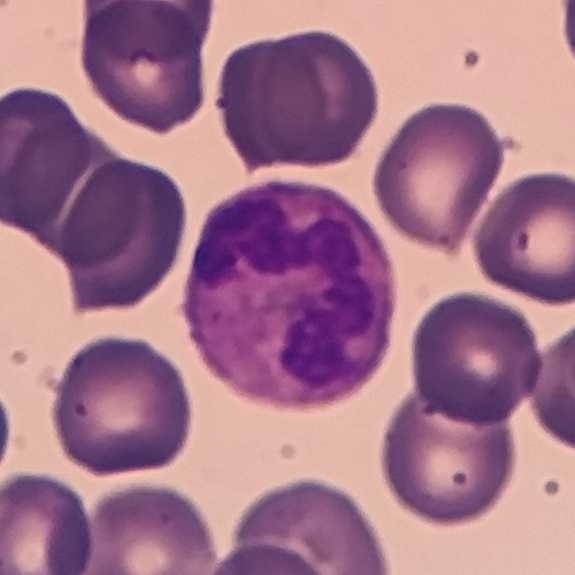 The white blood cell in this image is a neutrophil.

Context: Peripheral blood smear.